Peripheral blood film.
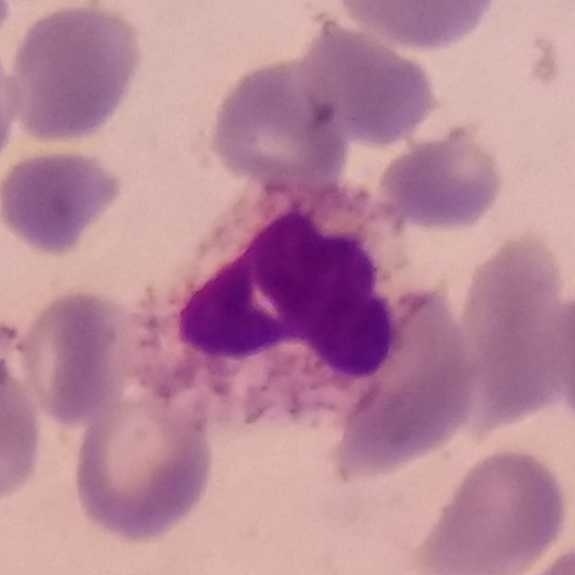 White blood cell type: neutrophil.